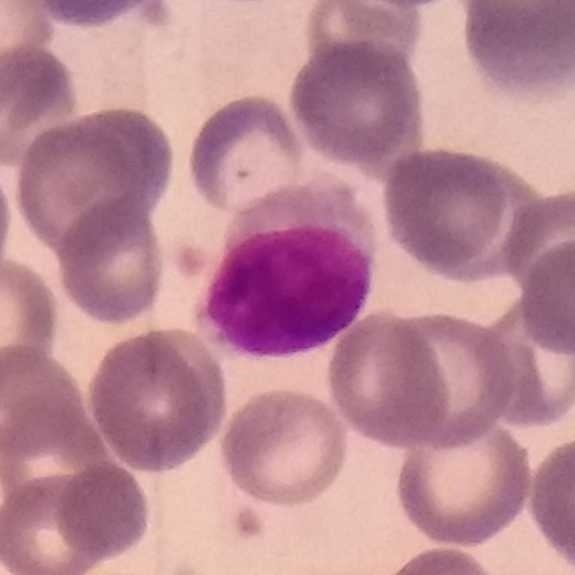Image: Single-cell field. Peripheral blood smear.

Lymphocyte.